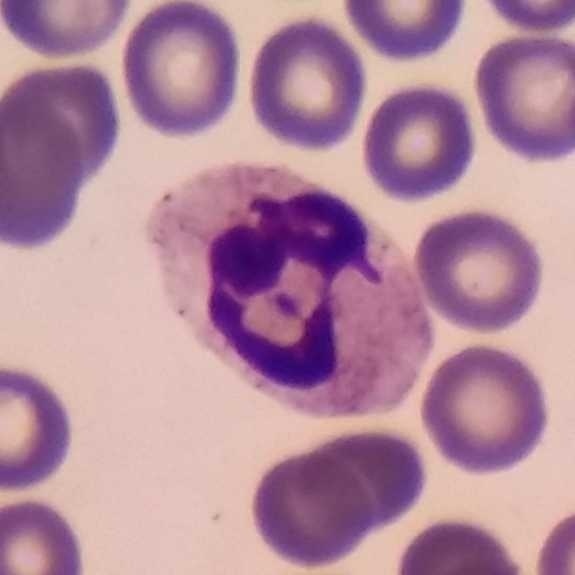Context: Peripheral blood smear · smartphone photomicrograph · image size 575×575.

Single cell identified as a neutrophil granulocyte.